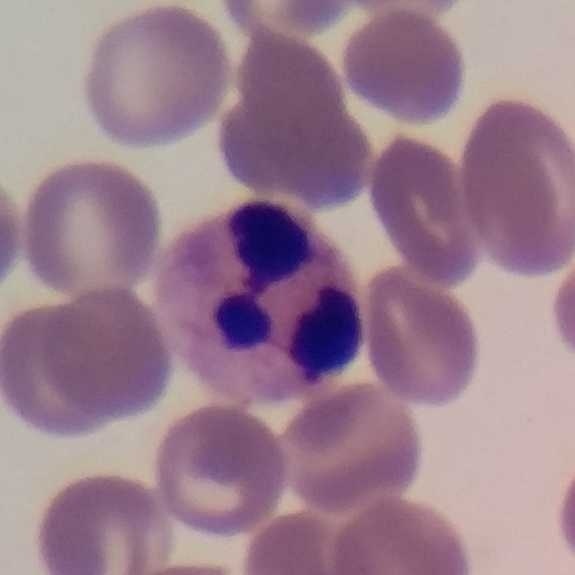
Specimen: peripheral blood film.
Cell: neutrophilic granulocyte.